Peripheral blood film. Single white blood cell cropped from the smear photograph: 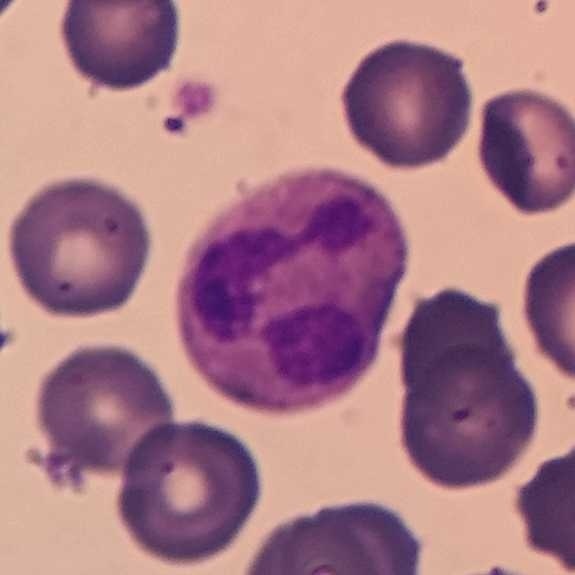 White blood cell type — neutrophilic granulocyte.